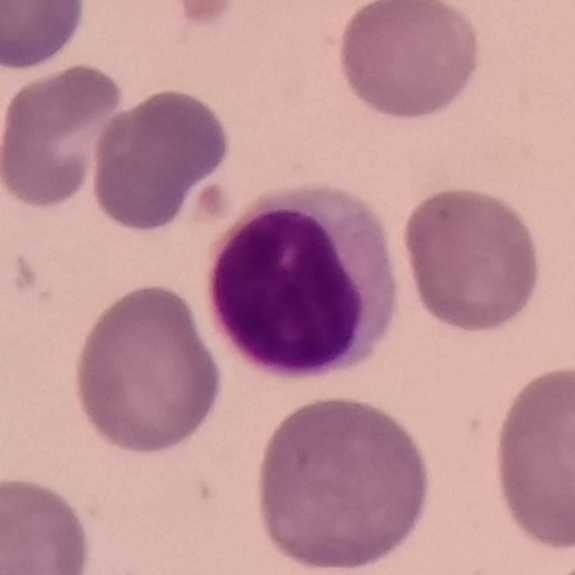This is a lymphocyte.
Peripheral blood smear.